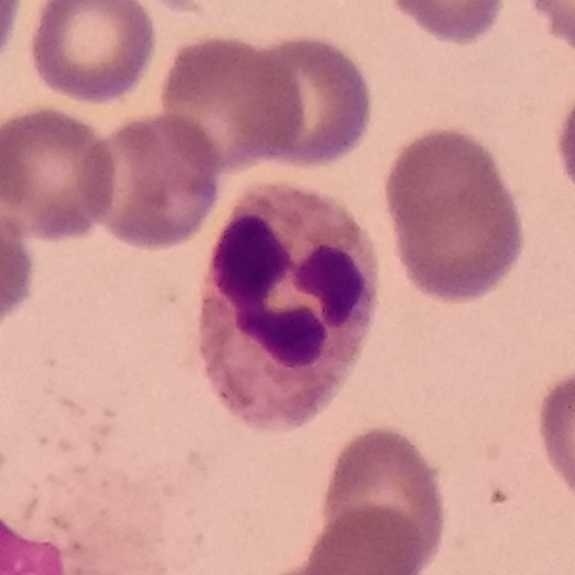 Peripheral blood film. Stained with Giemsa.
Cell: neutrophilic granulocyte.